Imaged at 100×; peripheral blood film; smartphone camera mounted on the microscope eyepiece:
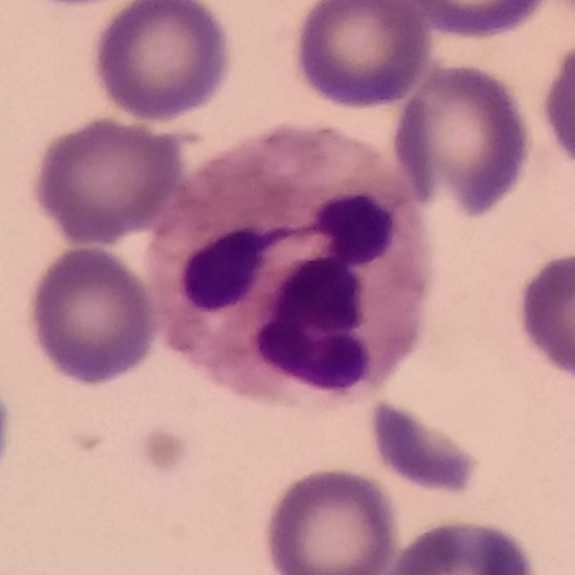 Q: What is this?
A: It is a neutrophil.